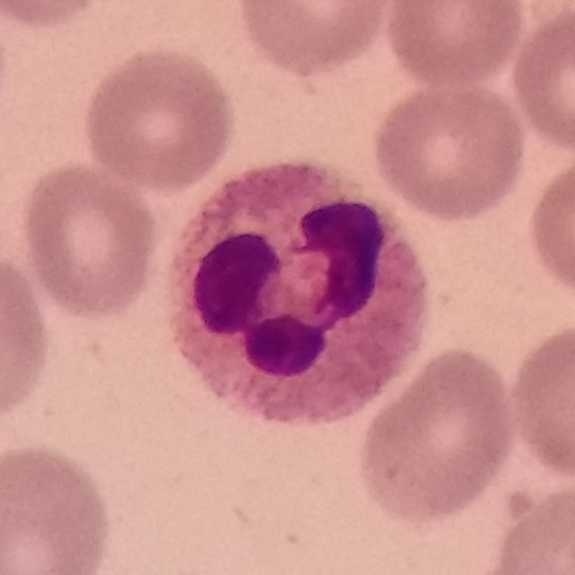

The white blood cell type is neutrophil.